Peripheral blood film: 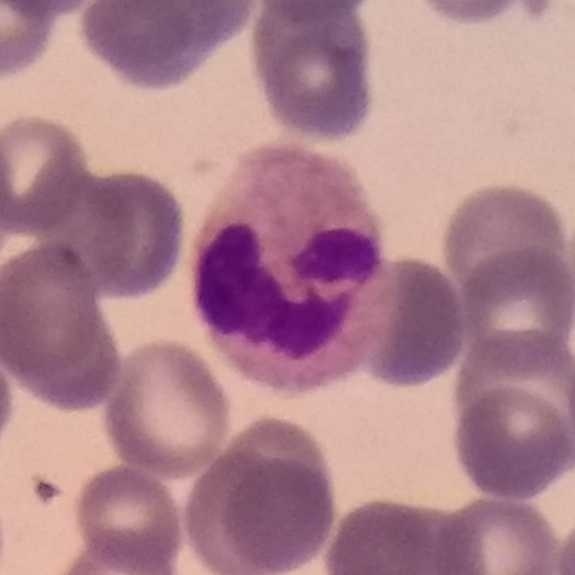
This is a neutrophilic granulocyte.